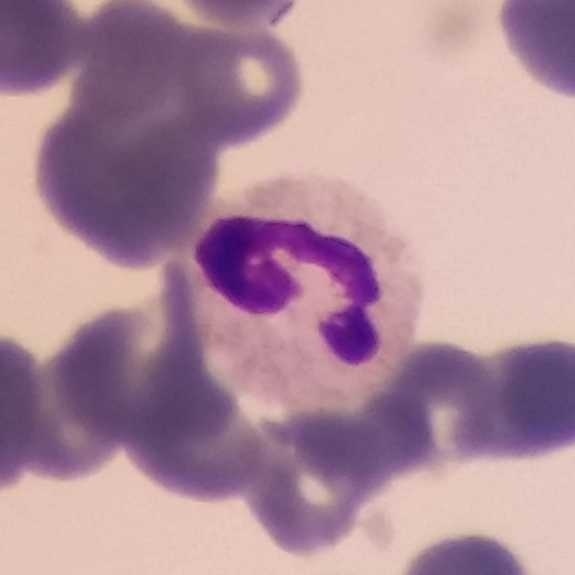

The classification is neutrophil granulocyte. Acquisition: Image size 575×575; peripheral blood film.